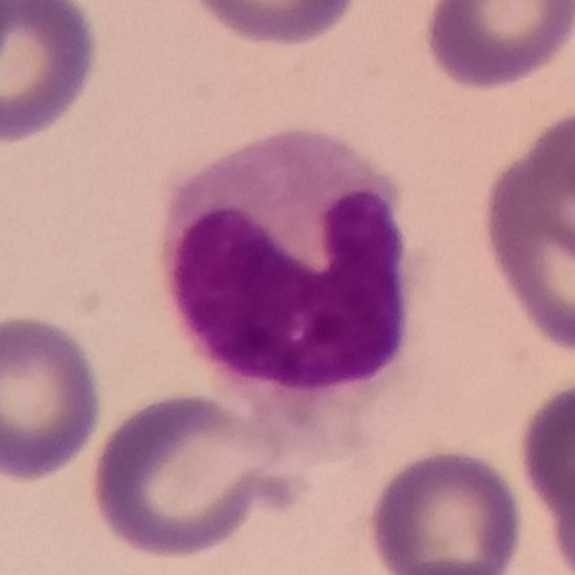Q: What cell is this?
A: Monocyte.

Preparation: Peripheral blood smear.